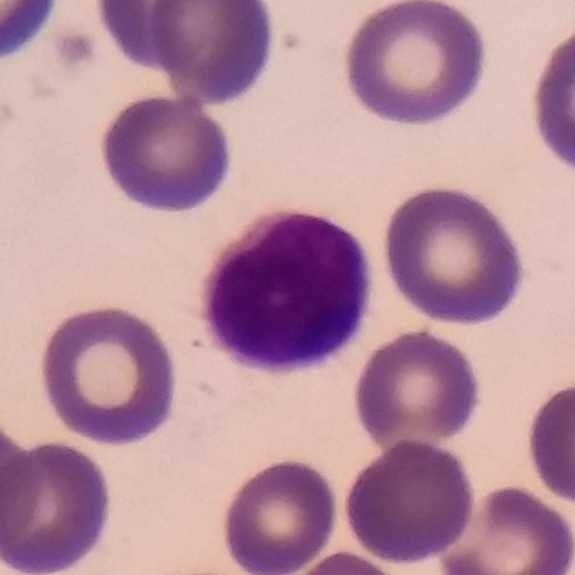Image: Peripheral blood film. Smartphone photomicrograph.

This is a lymphocyte.